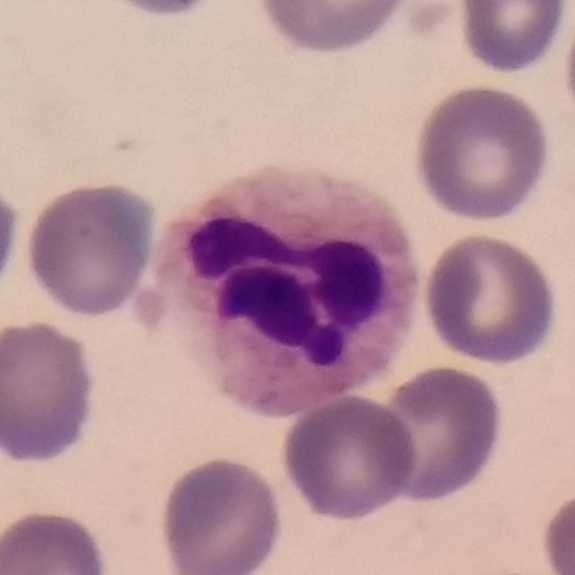

Peripheral blood smear. The morphological class is neutrophil granulocyte.